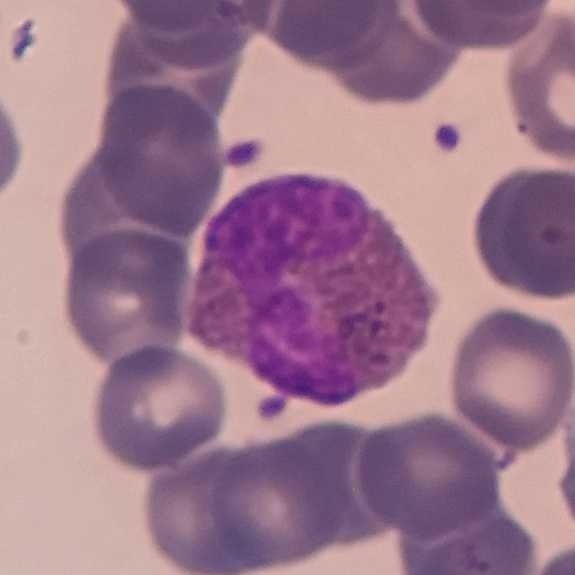 Acquisition: Peripheral blood film. 100× magnification. The classification is eosinophil.